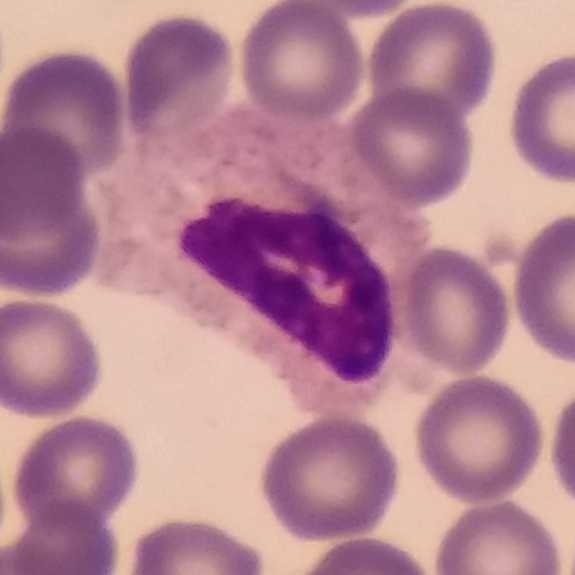

Showing a neutrophil granulocyte.

Preparation: Peripheral blood film.